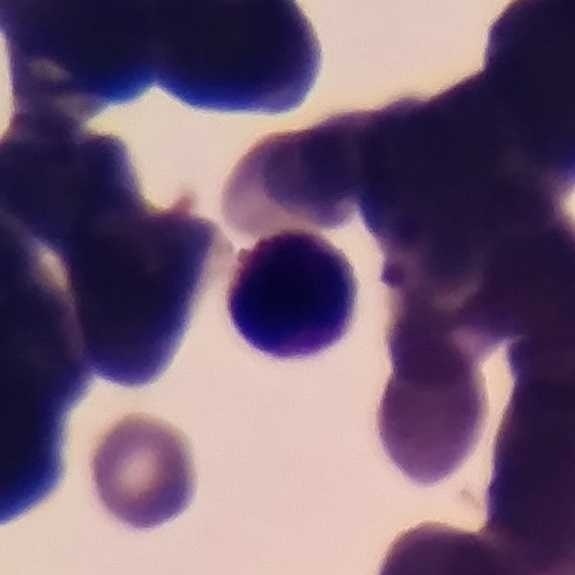 Q: What cell is this?
A: Lymphocyte.
Context: Peripheral blood film. Single white blood cell cropped from the smear photograph. Image size 575×575.